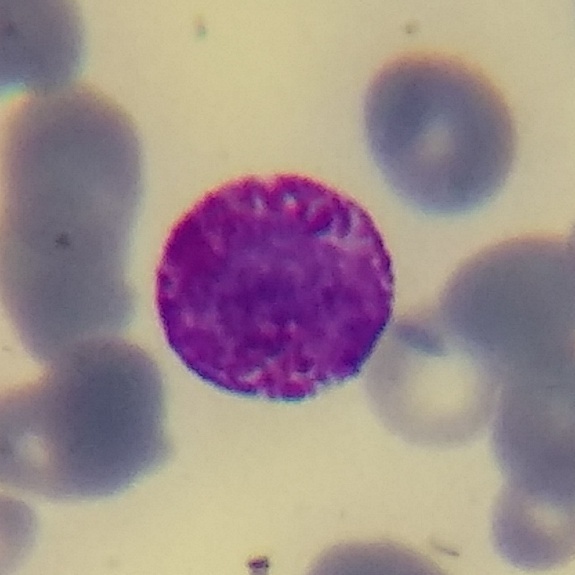 Image: Giemsa stain; peripheral blood film.
This is a basophil.